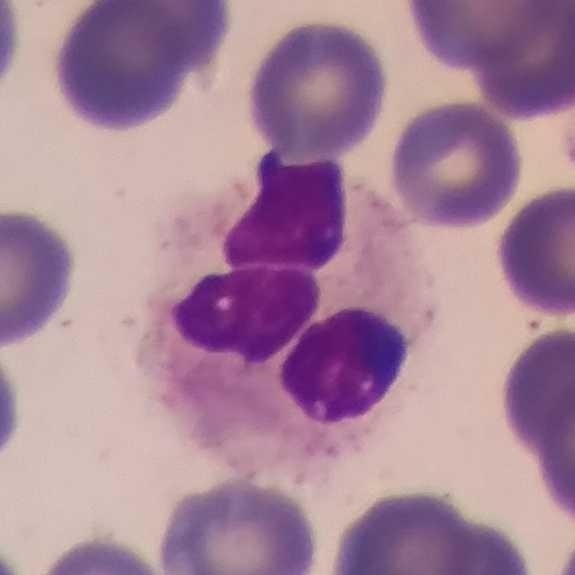Context: Peripheral blood smear.
Single cell identified as a neutrophil granulocyte.